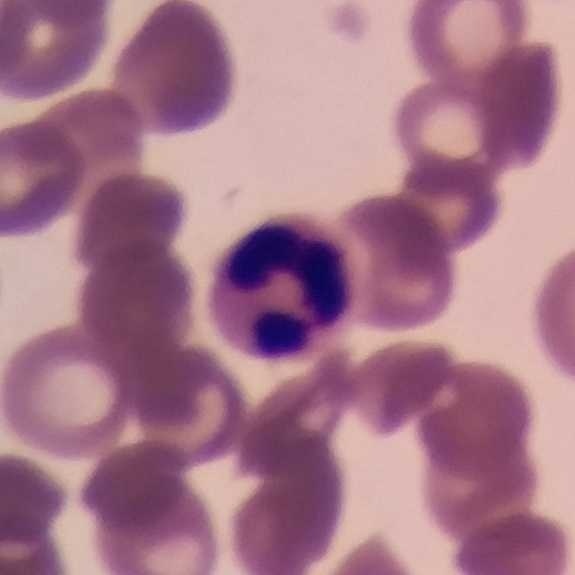

Context: Peripheral blood film.
Cell type = neutrophilic granulocyte.